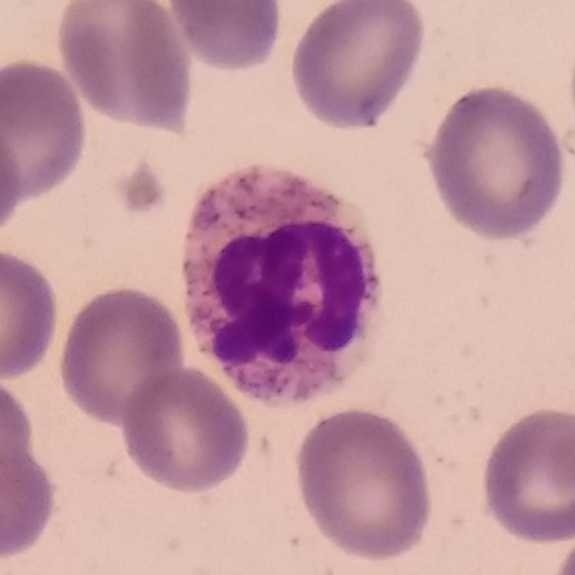

Context: Peripheral blood film.

Q: Classify this leukocyte.
A: A neutrophilic granulocyte.